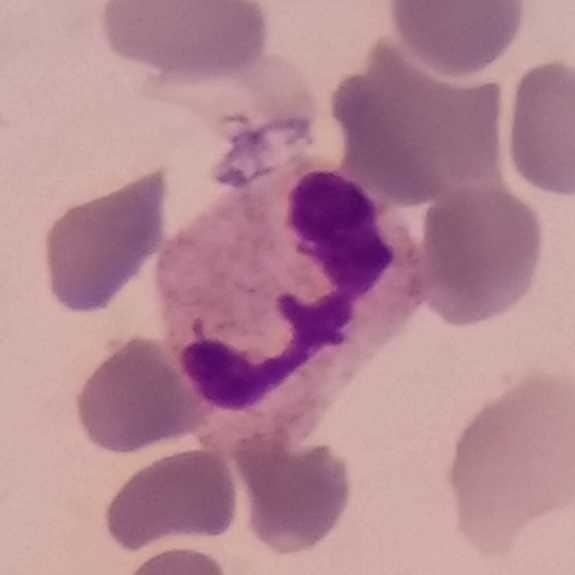
Acquisition: Single-cell field. Peripheral blood film.
Single cell identified as a neutrophilic granulocyte.